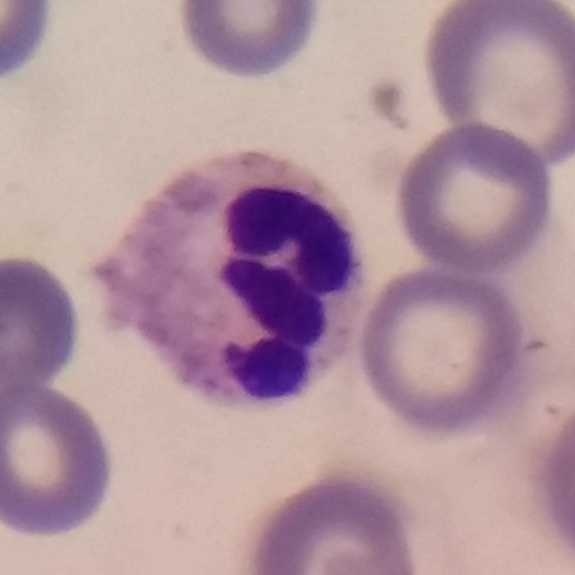This is a neutrophilic granulocyte.